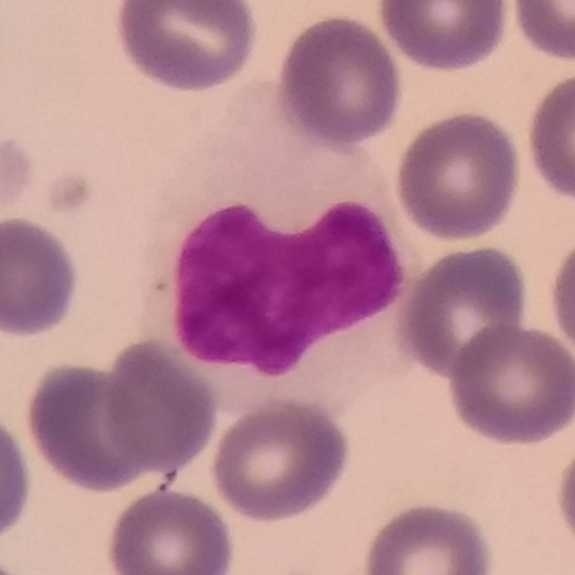 Image: Cropped to one leukocyte; peripheral blood smear; 100× magnification.

Impression → lymphocyte.